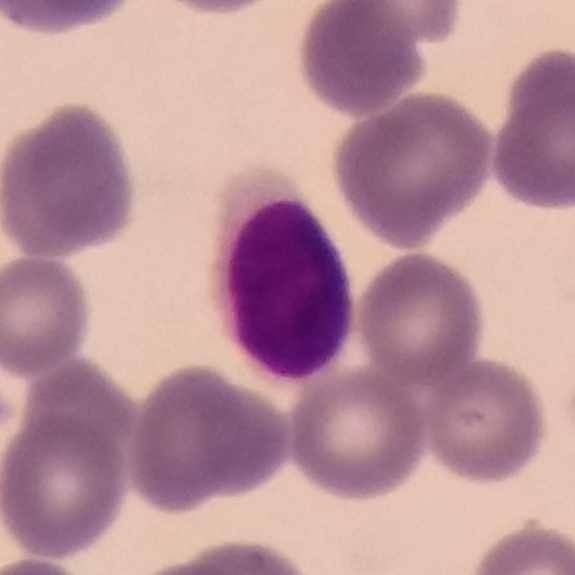

A lymphocyte. Image: Peripheral blood smear. 575 by 575 pixels.